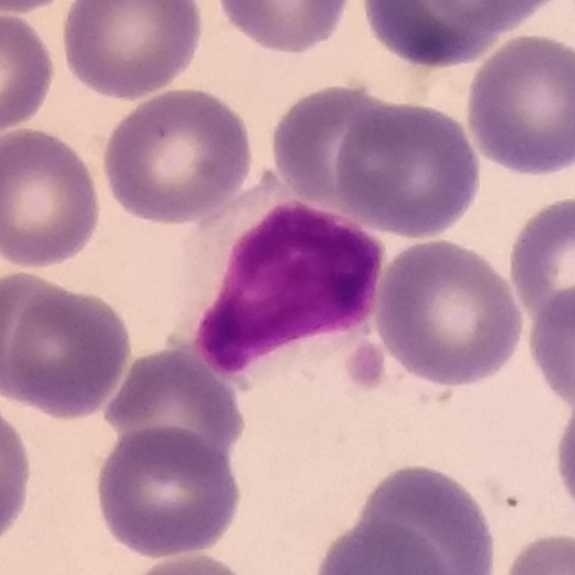Image: Peripheral blood film; single-cell crop.

Cell type = lymphocyte.